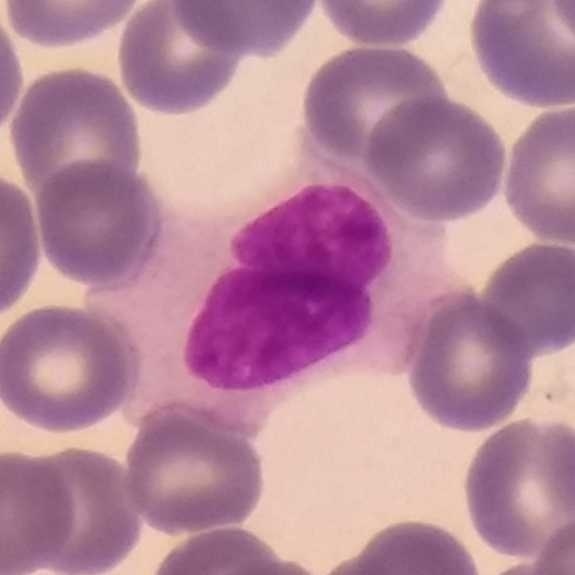Image: Peripheral blood film. Showing a monocyte.